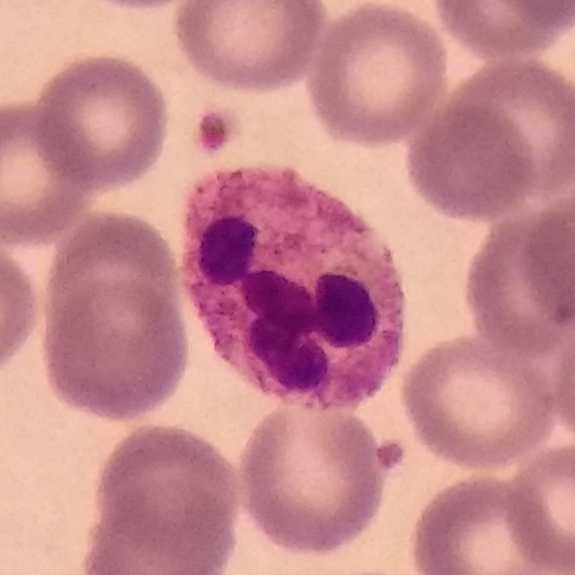
The cell shown is a neutrophil granulocyte.